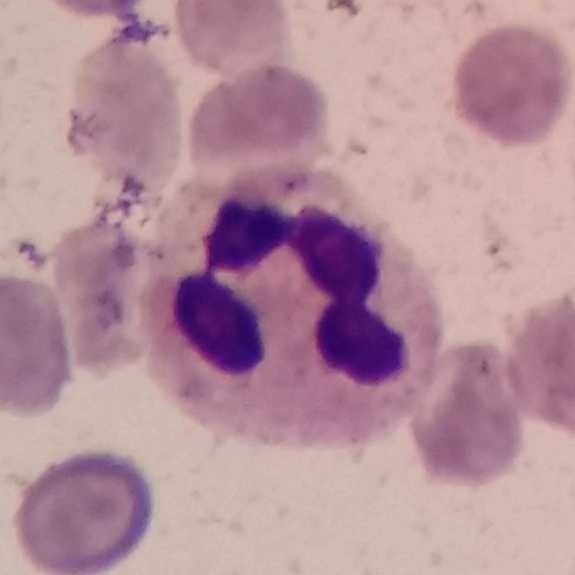Q: Which cell type is shown here?
A: It is a neutrophil.
Context: Peripheral blood film.